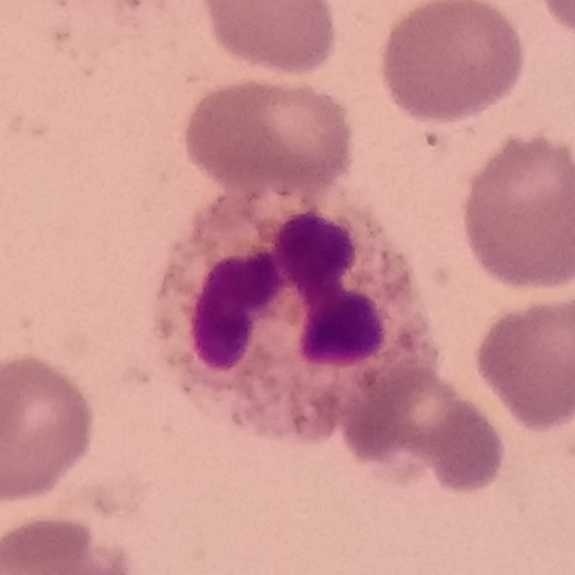

Image: Peripheral blood smear · stained with Giemsa. Morphology consistent with a neutrophilic granulocyte.